Peripheral blood film. Smartphone photomicrograph — 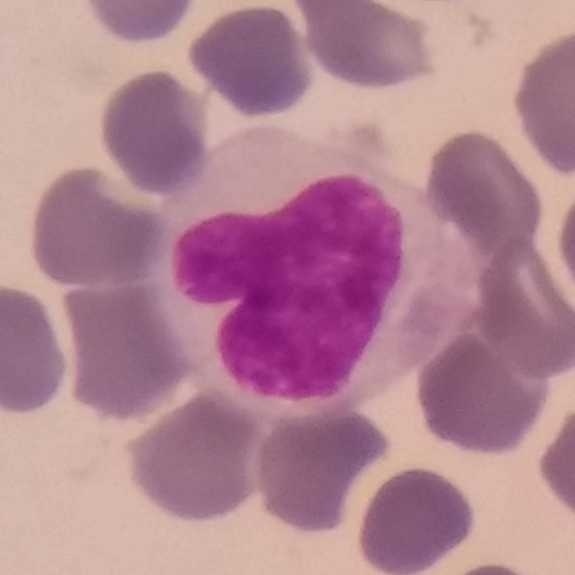
Single cell identified as a monocyte.